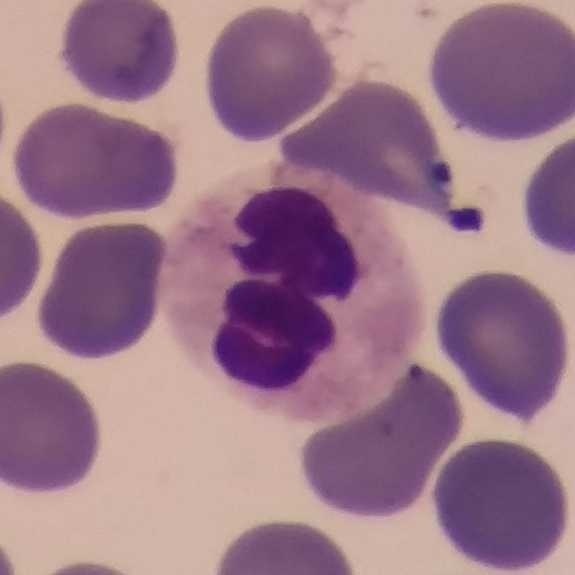

Acquisition: Peripheral blood film. Morphology consistent with a neutrophil.